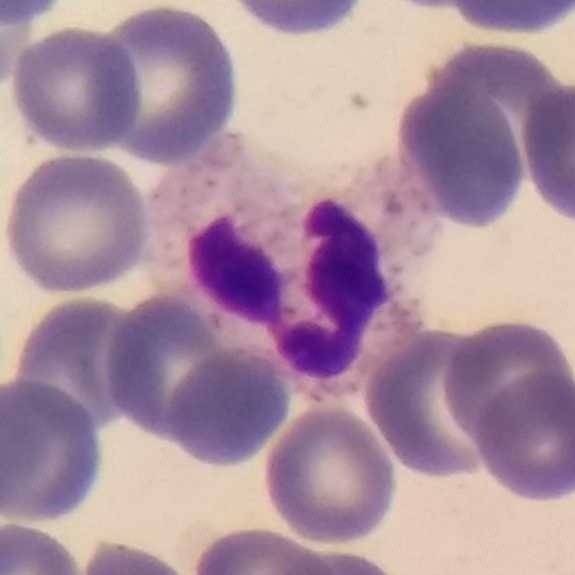

Q: Classify this leukocyte.
A: This is a neutrophil.

Acquisition: Peripheral blood film.